Peripheral blood film: 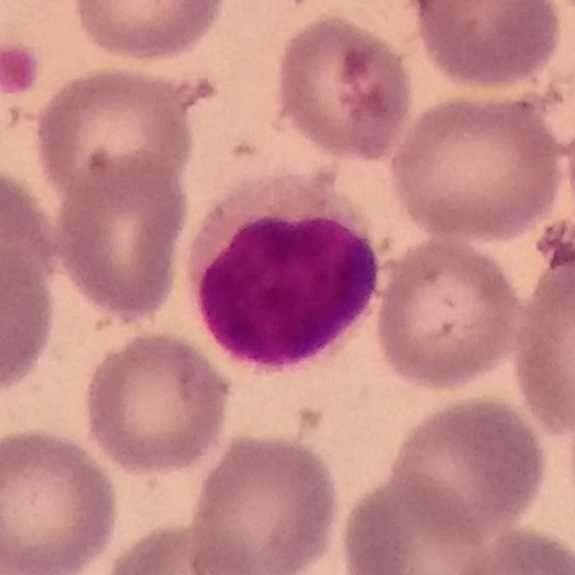
Classification = lymphocyte.